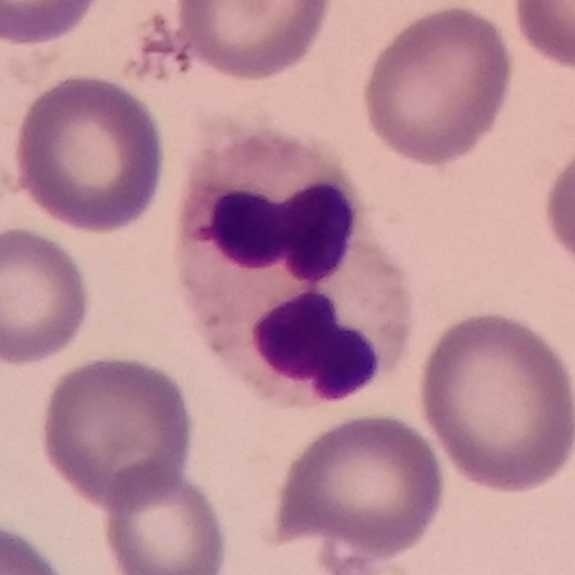Impression — neutrophil. Preparation: Peripheral blood film.